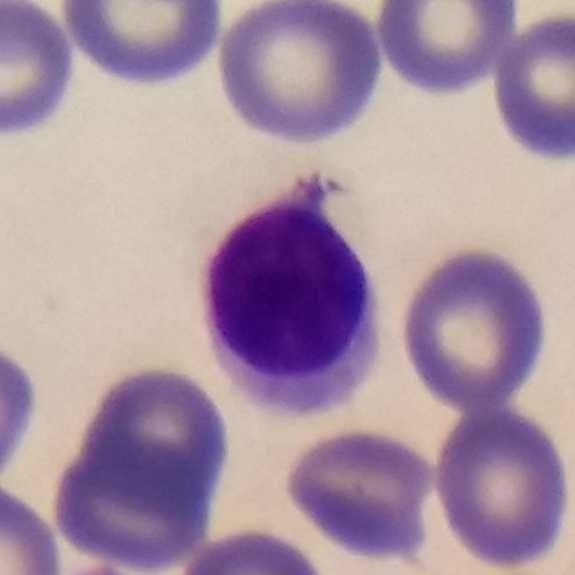 Acquisition: Single white blood cell cropped from the smear photograph. Peripheral blood smear. Giemsa stain. Identified as a lymphocyte.